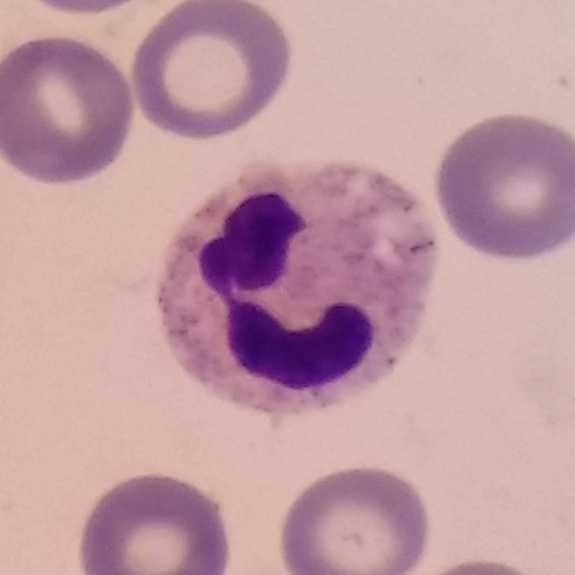The cell shown is a neutrophilic granulocyte.